Peripheral blood film
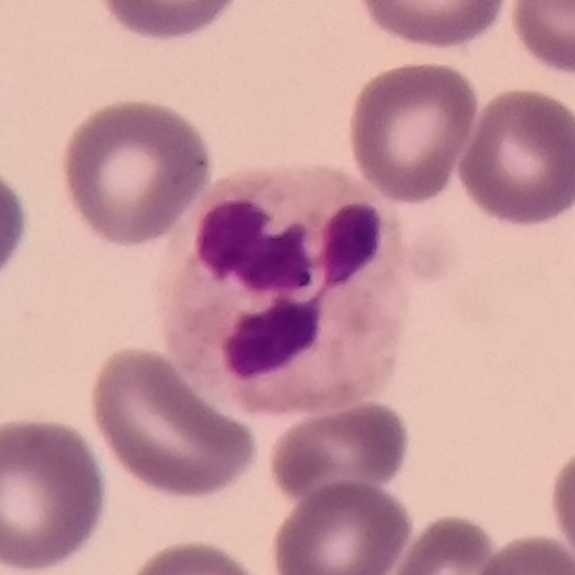
Neutrophilic granulocyte.